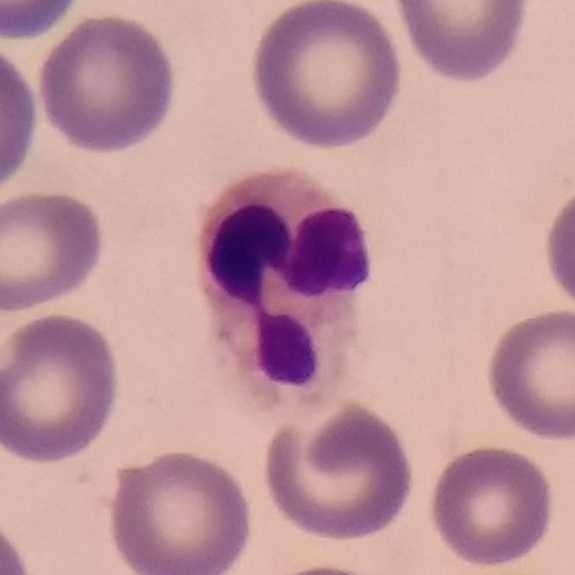 A neutrophilic granulocyte on a peripheral blood smear.